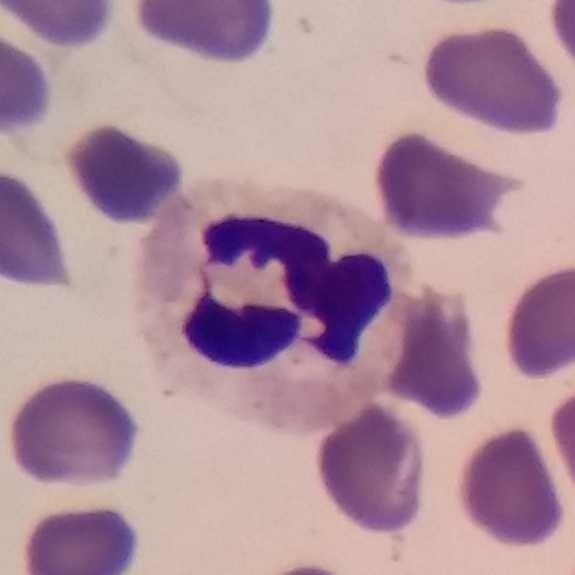Q: Identify the cell.
A: Neutrophil granulocyte.

Smartphone camera mounted on the microscope eyepiece. Peripheral blood film.